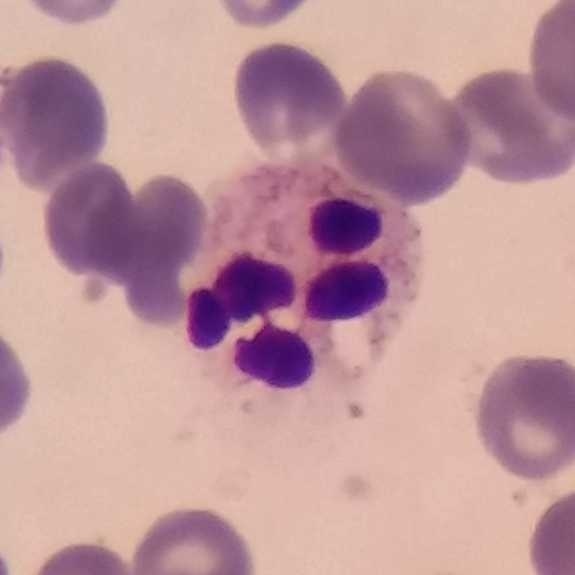
Preparation: Stained with Giemsa · peripheral blood film. Classification — neutrophil.